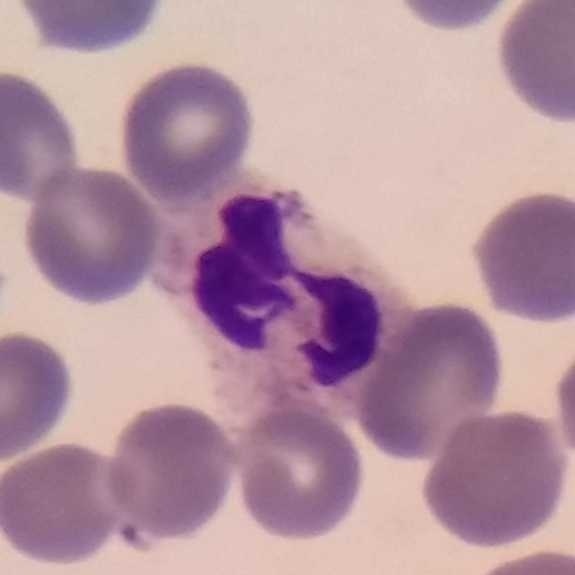Showing a neutrophil granulocyte. Acquisition: Smartphone photomicrograph; peripheral blood film.